Peripheral blood film · stained with Giemsa
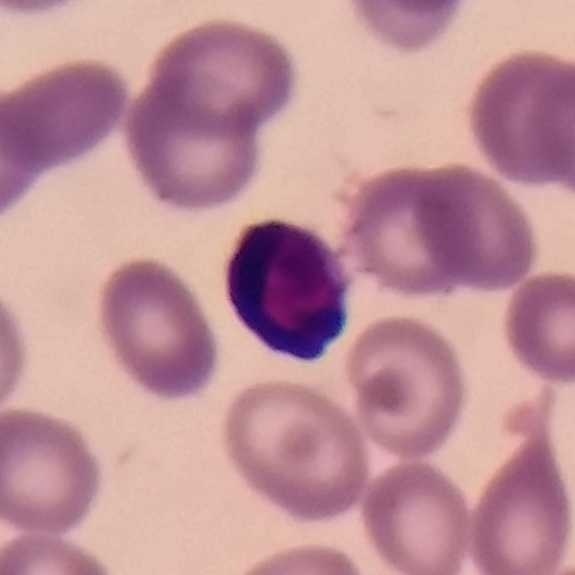
Morphology consistent with a lymphocyte.